Peripheral blood film: 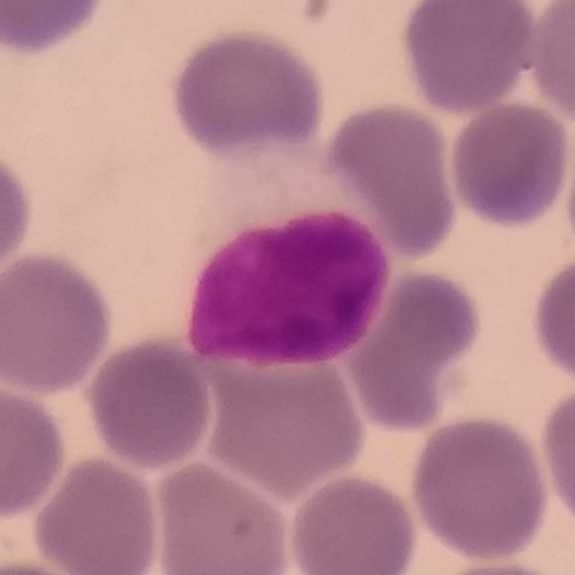

Q: What is the morphological classification of this cell?
A: Lymphocyte.